Peripheral blood film; stained with Giemsa — 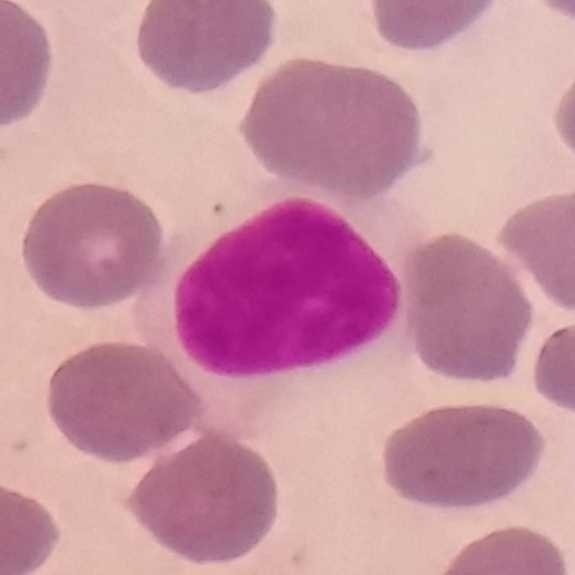

Q: Which type of white blood cell is this?
A: It is a lymphocyte.